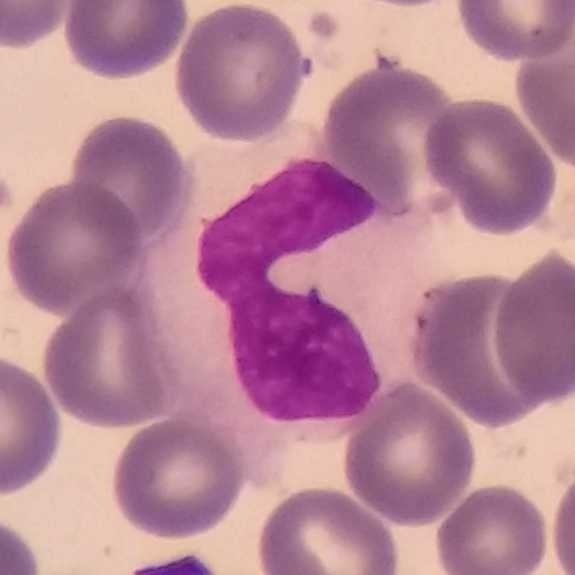 Morphology consistent with a monocyte. Acquisition: Peripheral blood film.